Smartphone photomicrograph · peripheral blood smear
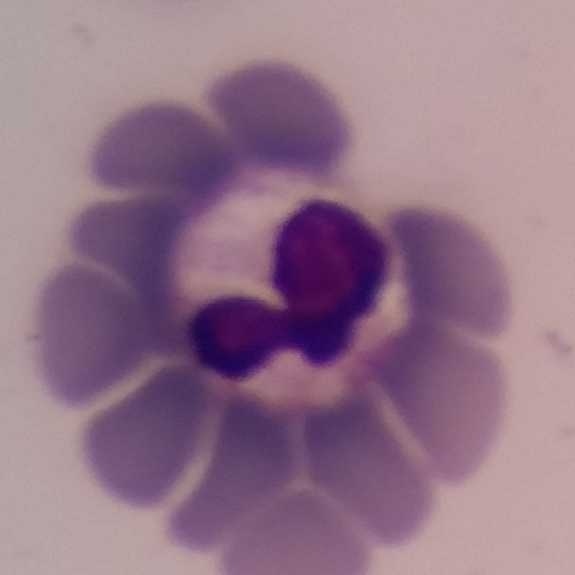Identified as a neutrophil granulocyte.